Image size 575×575. Peripheral blood film: 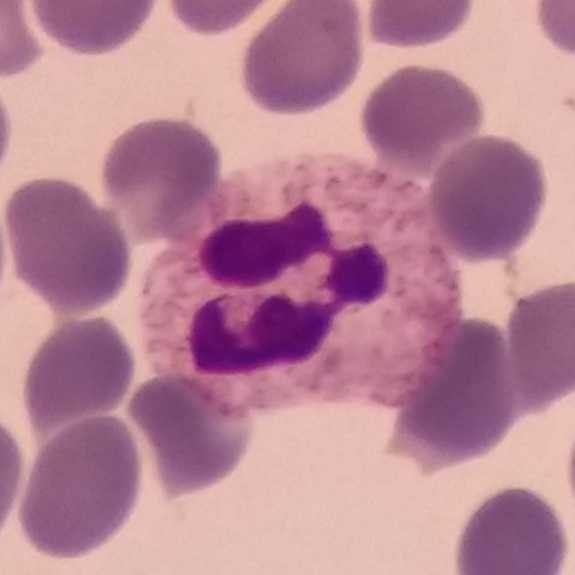 Q: What is shown here?
A: A neutrophil granulocyte.